Peripheral blood smear; imaged at 100×
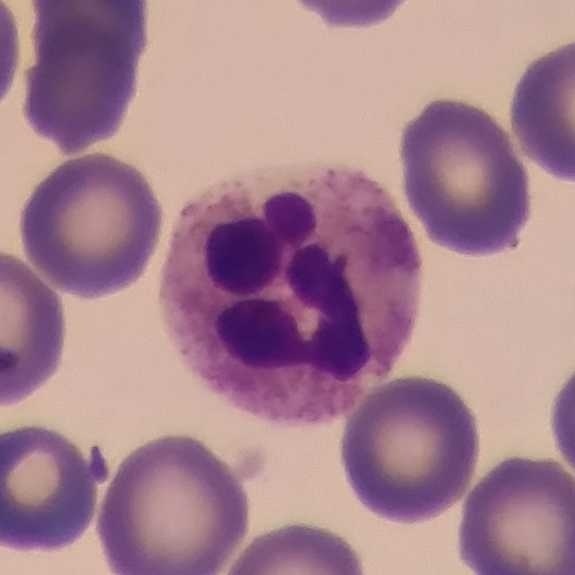
The classification is neutrophil granulocyte.